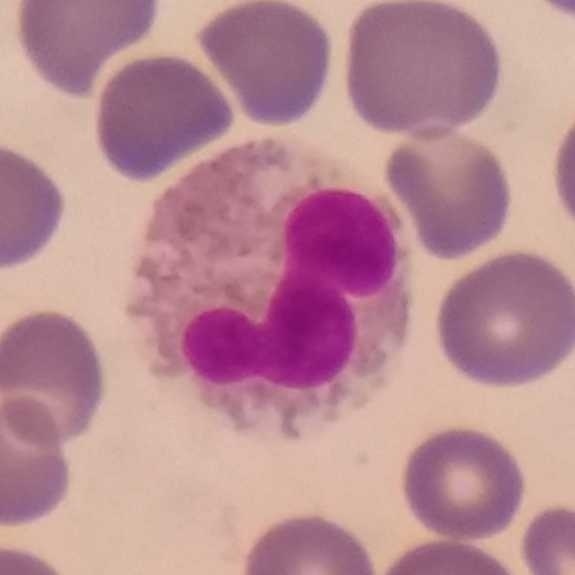 Preparation: Stained with Giemsa · single-cell crop. Specimen: peripheral blood smear.
Cell type: eosinophil.
Lineage: myeloid.